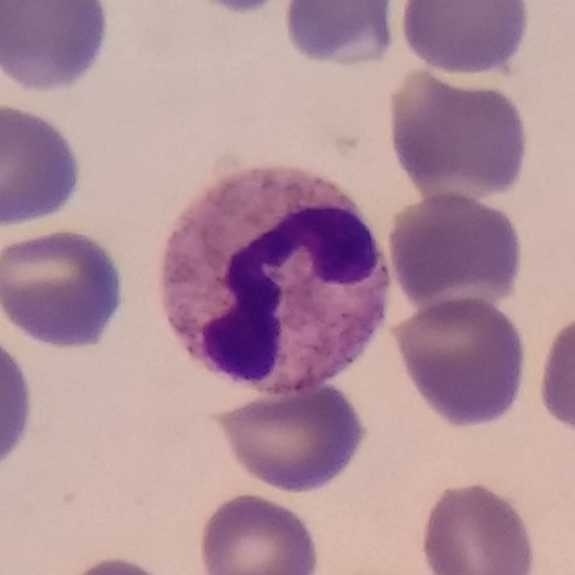
Q: What is shown here?
A: This is a neutrophil granulocyte.